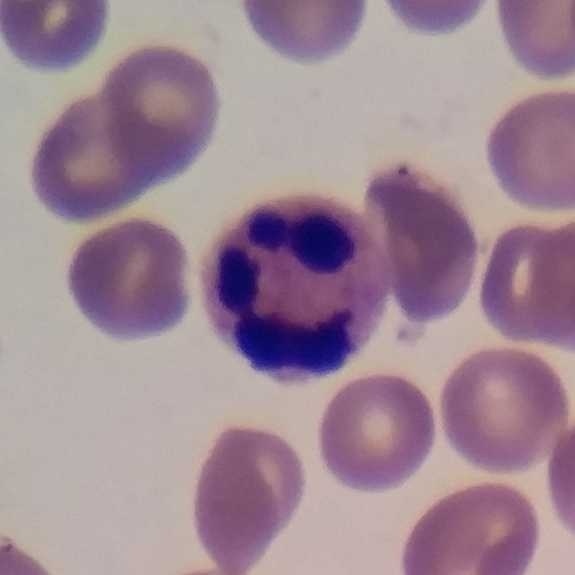From a peripheral blood smear: a neutrophilic granulocyte.